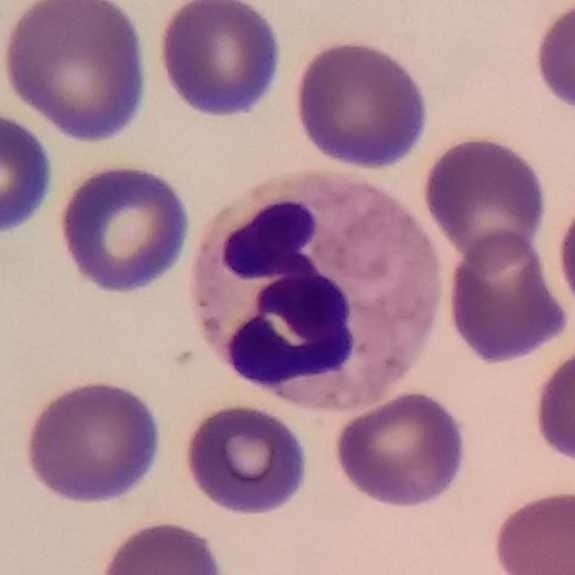
Q: Identify the cell.
A: This is a neutrophil granulocyte.